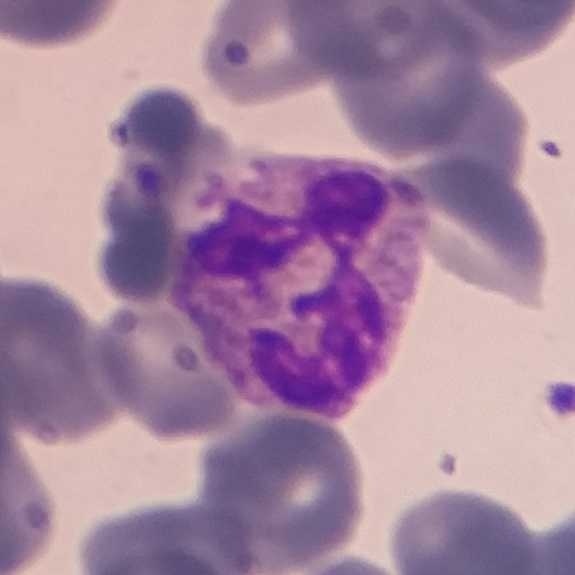 Q: What is the morphological classification of this cell?
A: This is a neutrophil granulocyte.